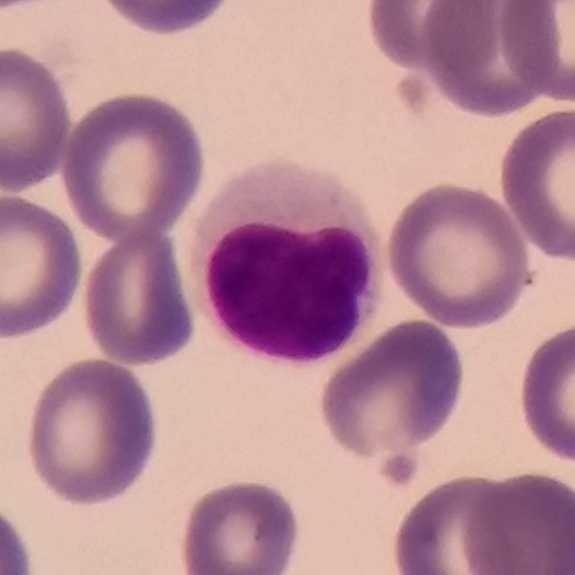
The cell shown is a lymphocyte. Peripheral blood film. Magnification 100×.